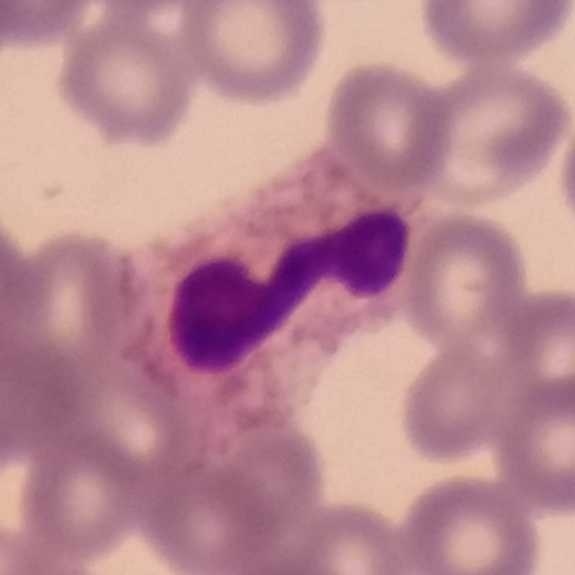

Neutrophilic granulocyte.